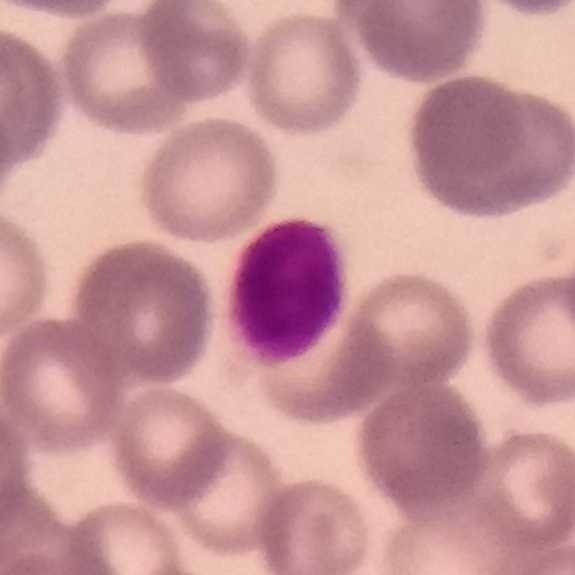
Peripheral blood film · image size 575×575 · smartphone camera mounted on the microscope eyepiece.
Q: Which type of white blood cell is this?
A: A lymphocyte.